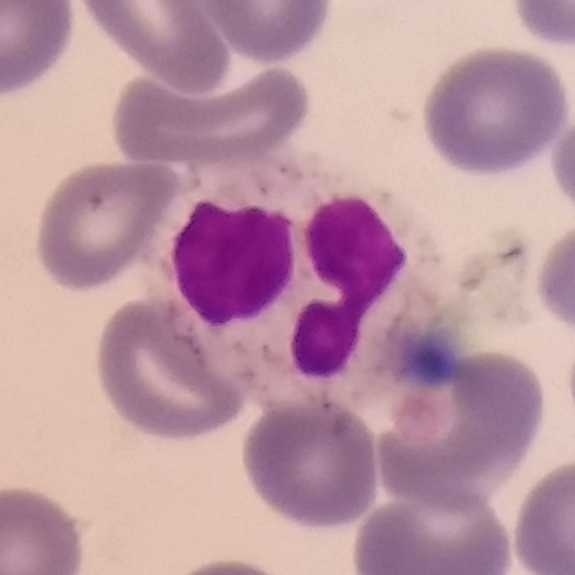 Preparation: Peripheral blood film · smartphone photomicrograph · 100× magnification.

Single cell identified as a neutrophil granulocyte.